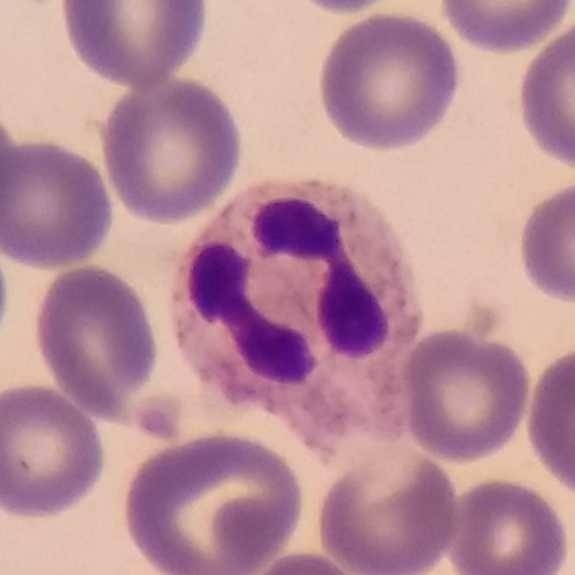 Peripheral blood smear.
Q: What cell is this?
A: Neutrophil granulocyte.